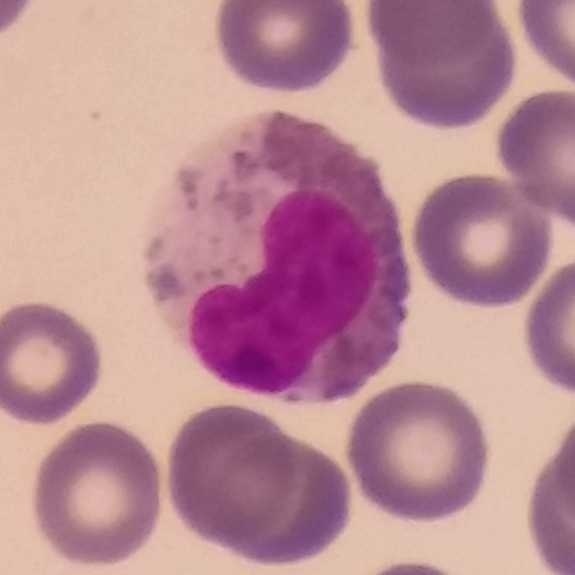

White blood cell type — eosinophil. Acquisition: Peripheral blood smear.